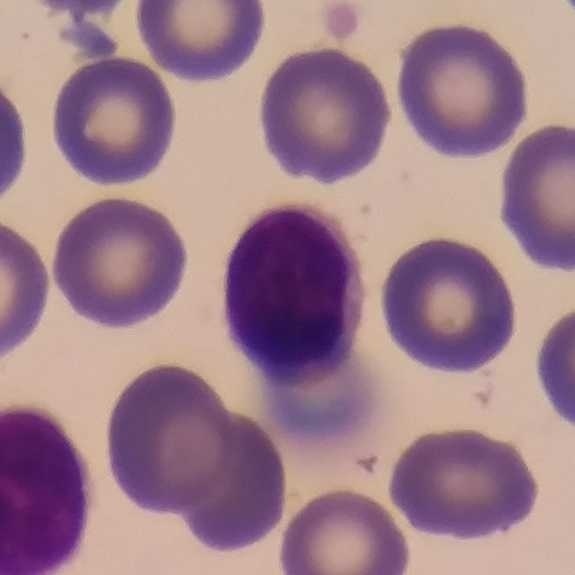

Morphological class: lymphocyte.